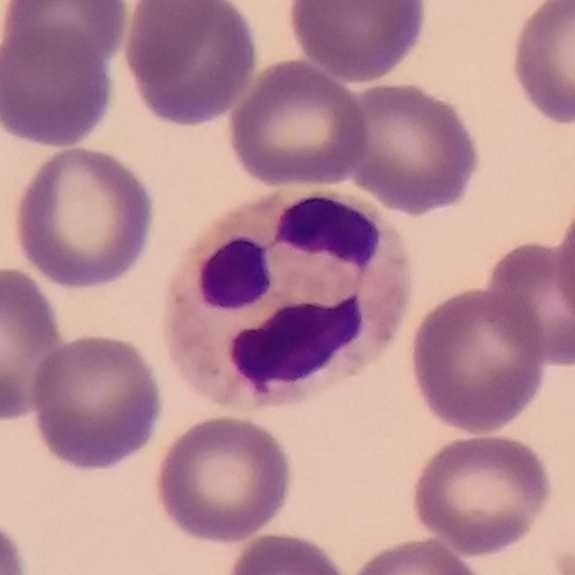Q: What cell is this?
A: Neutrophilic granulocyte.